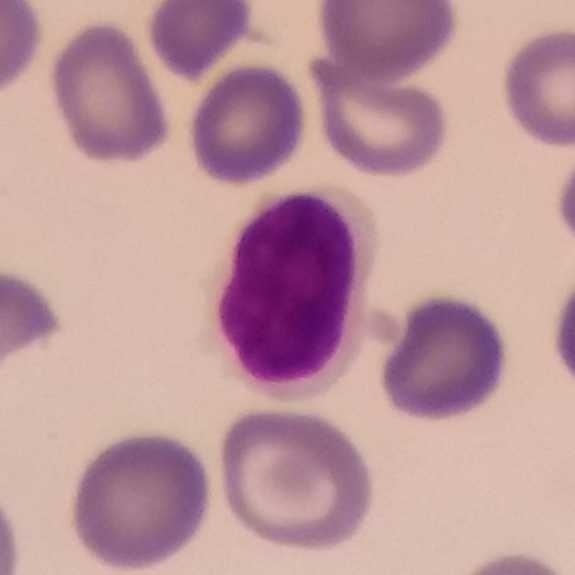
Morphology — lymphocyte.